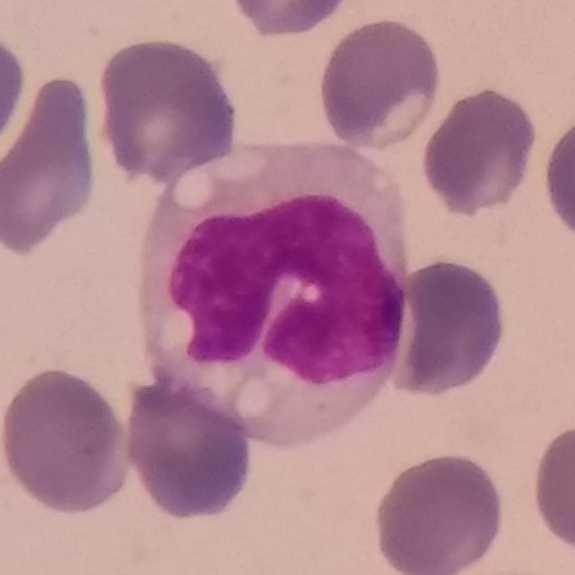 Peripheral blood smear. Q: What cell is this?
A: This is a monocyte.